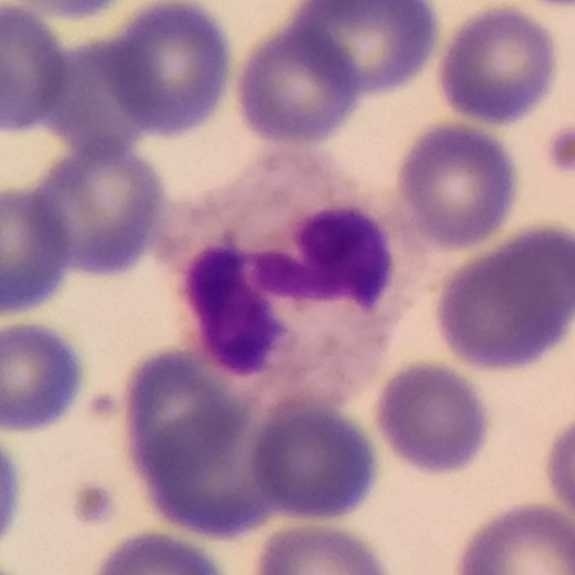

Cell = neutrophil granulocyte.